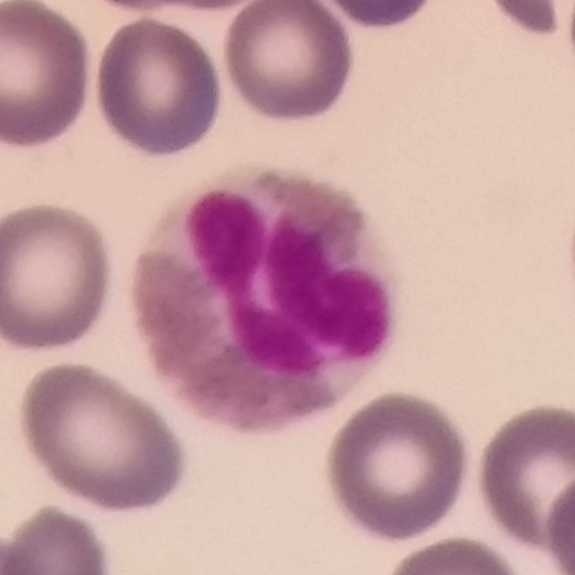
Image: Peripheral blood film.
Q: What type of cell is this?
A: It is an eosinophilic granulocyte.